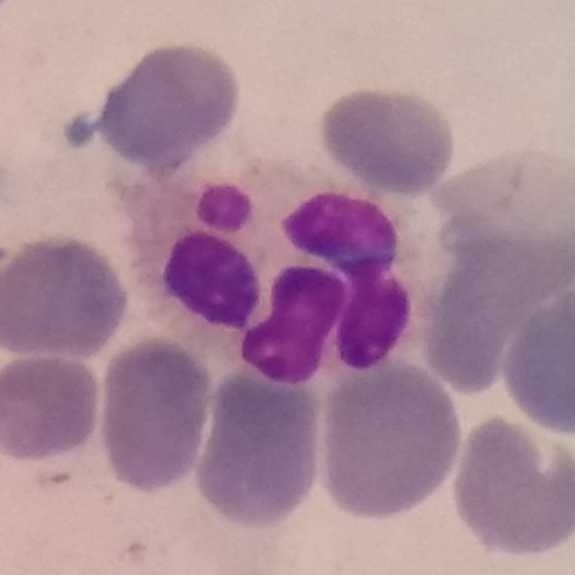

Image: Peripheral blood film.
{"cell_type": "neutrophil granulocyte", "lineage": "myeloid"}